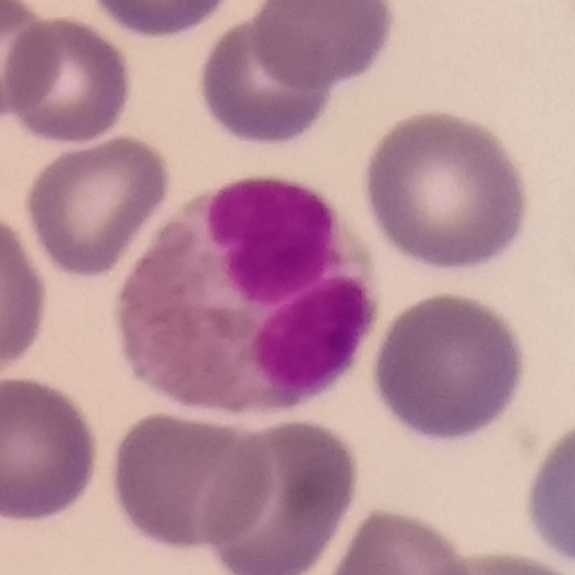
The white blood cell in this image is an eosinophil. Preparation: Peripheral blood smear.